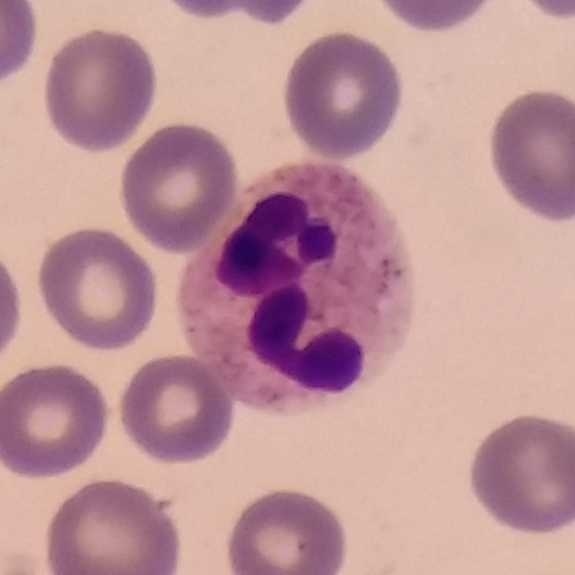

Specimen: peripheral blood smear.
White blood cell type: neutrophil granulocyte.